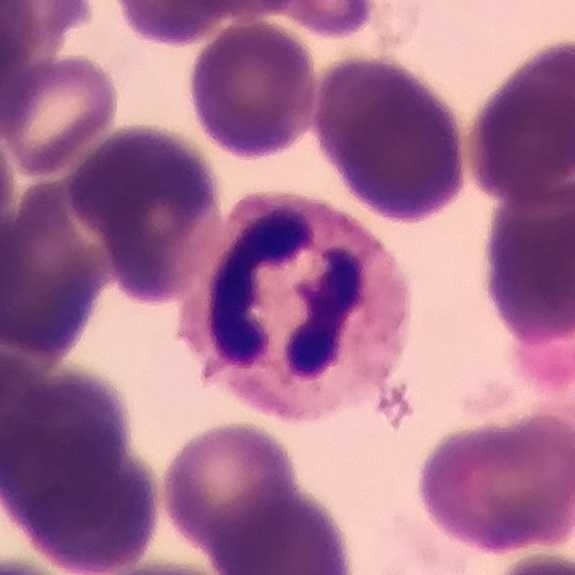Identified as a neutrophilic granulocyte.

Cropped to one leukocyte; peripheral blood film.